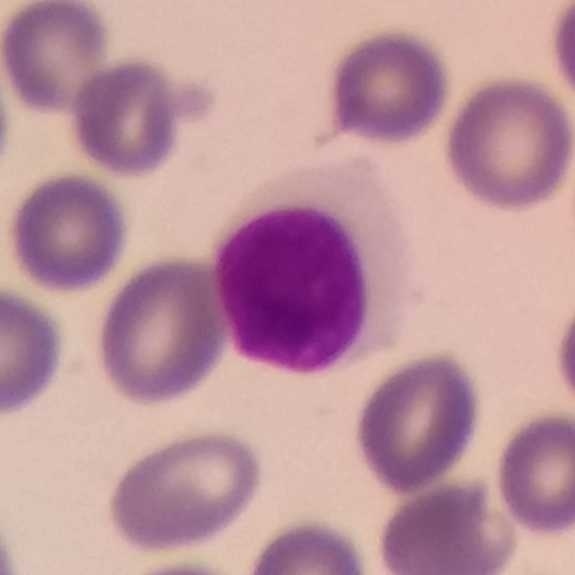

Q: What type of cell is this?
A: This is a lymphocyte.